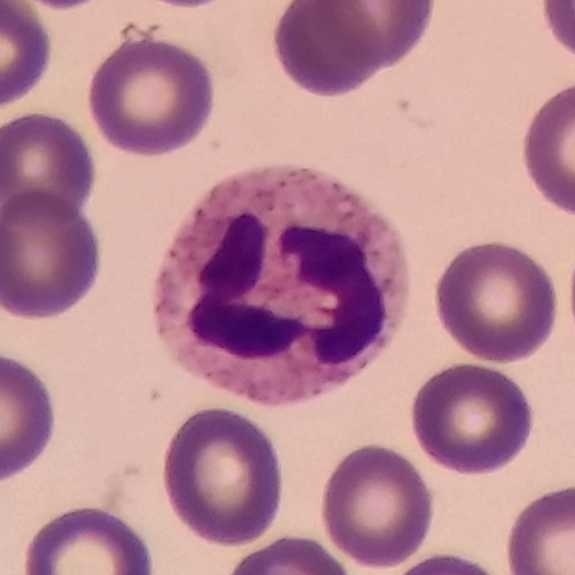
Cell = neutrophilic granulocyte.
Single-cell crop. Photographed through a light microscope with a smartphone camera. Peripheral blood film.